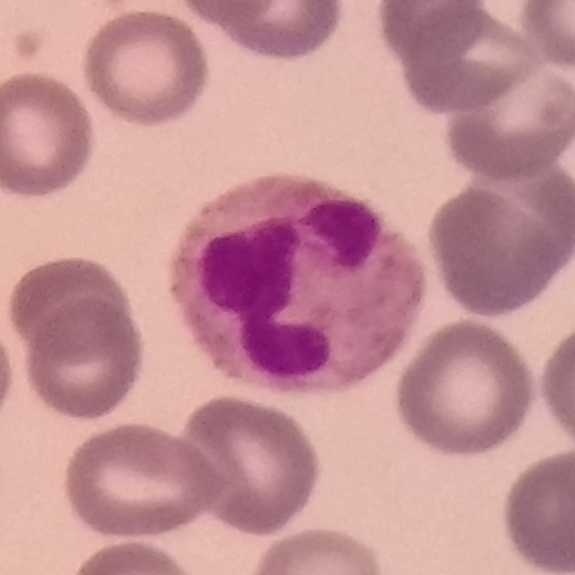

Peripheral blood smear.

The white blood cell in this image is a neutrophil.